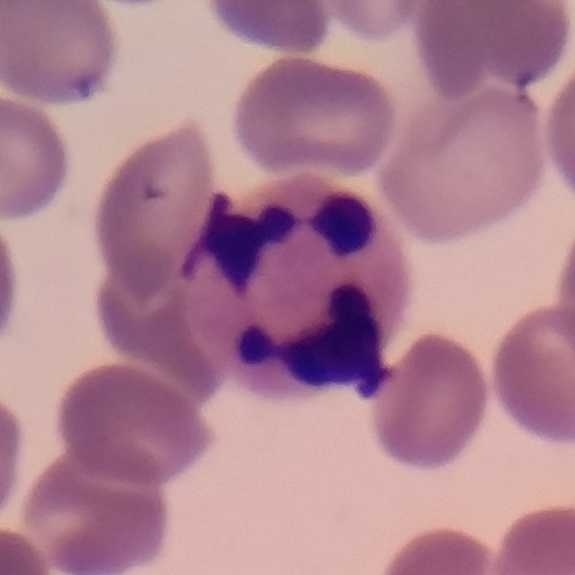

Peripheral blood smear.

{"cell_type": "neutrophil"}